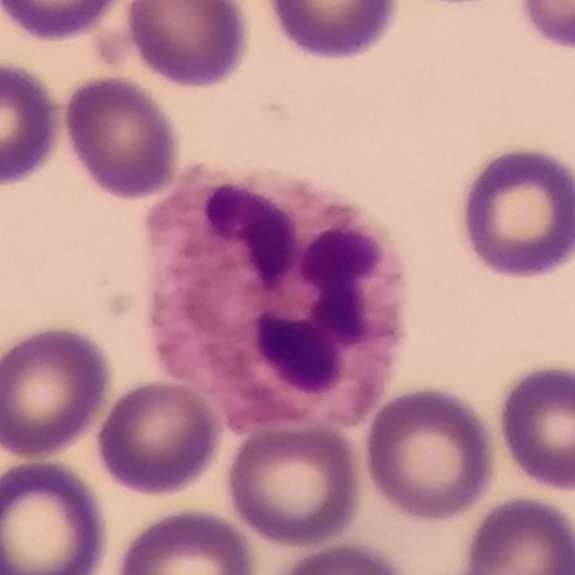

Showing a neutrophilic granulocyte.
Peripheral blood smear.